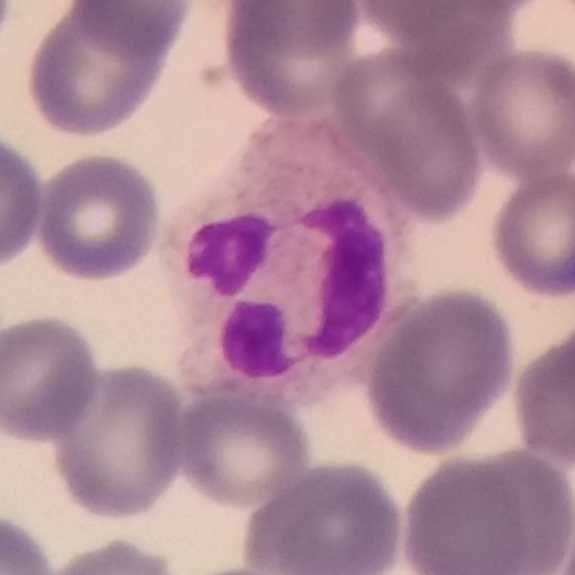
Showing a neutrophil.